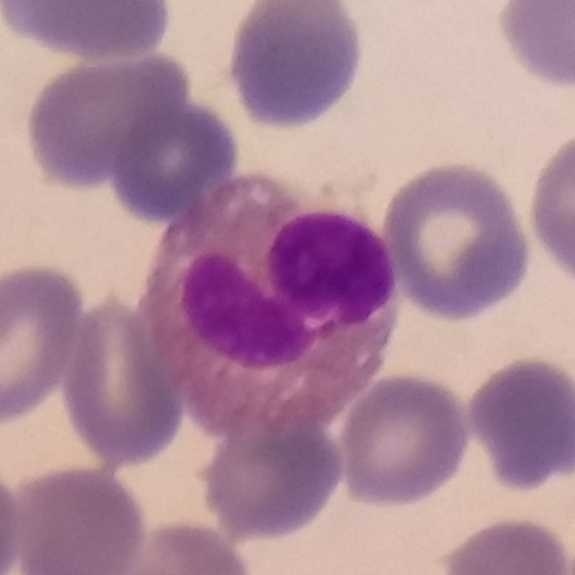
Single cell identified as an eosinophilic granulocyte.